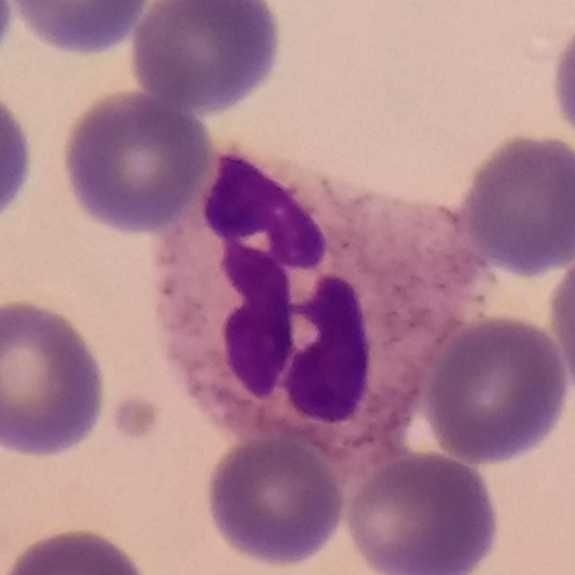{"cell_type": "neutrophil"}